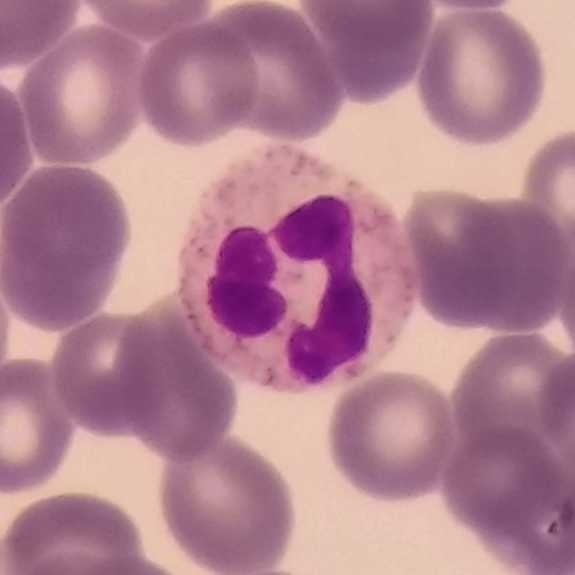 Image: Peripheral blood film. Magnification 100×.
Cell type: neutrophil.